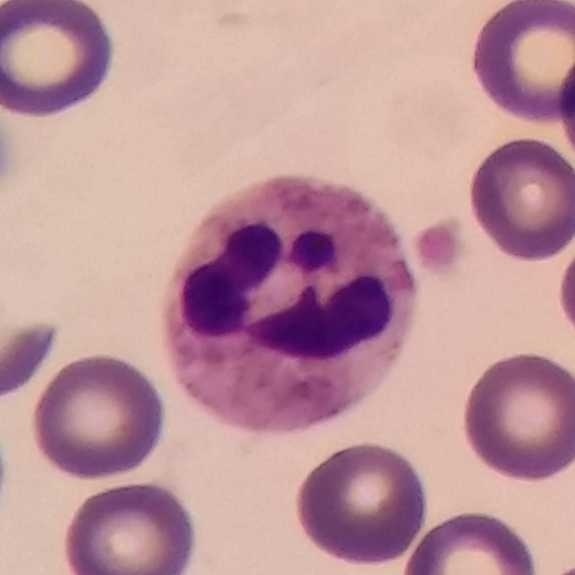 Morphology → neutrophil. Image: Peripheral blood film.